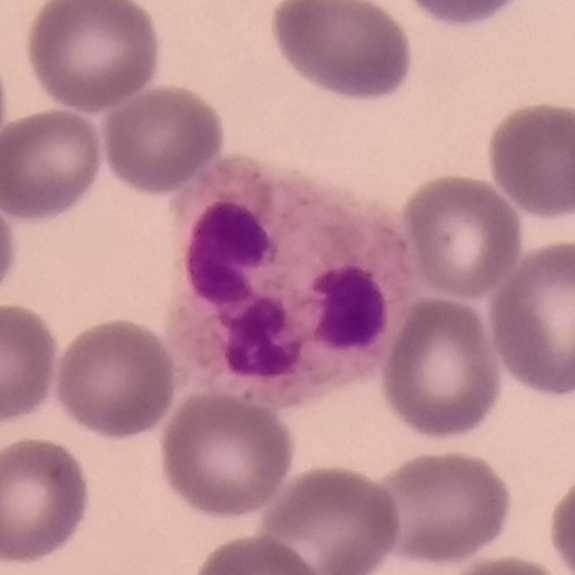Classification = neutrophil granulocyte.